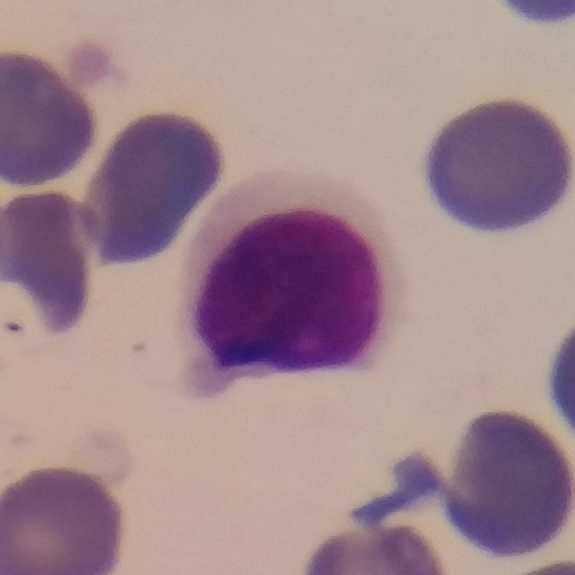Acquisition: Peripheral blood film. Cropped to one leukocyte.
Q: What cell is this?
A: Lymphocyte.